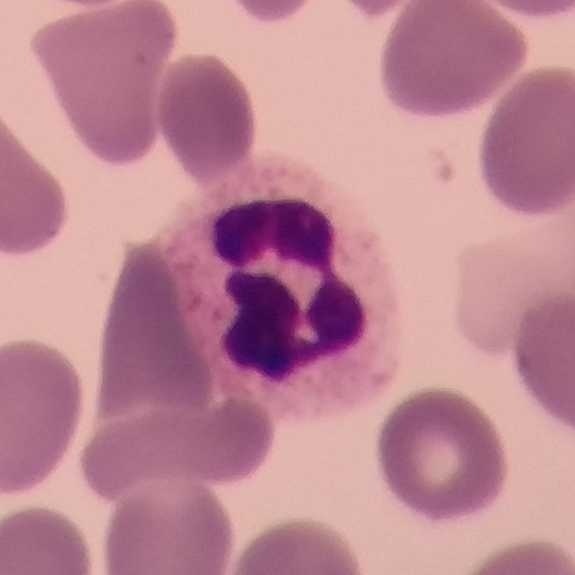The white blood cell type is neutrophilic granulocyte.

Peripheral blood film.